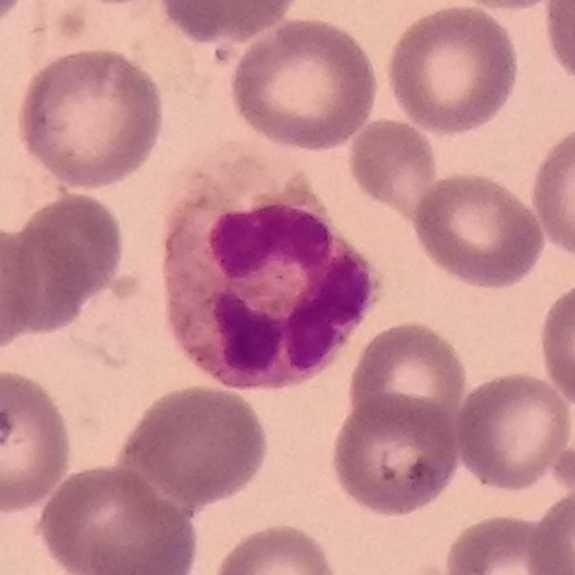

Peripheral blood smear · single white blood cell cropped from the smear photograph. This is a neutrophil granulocyte.